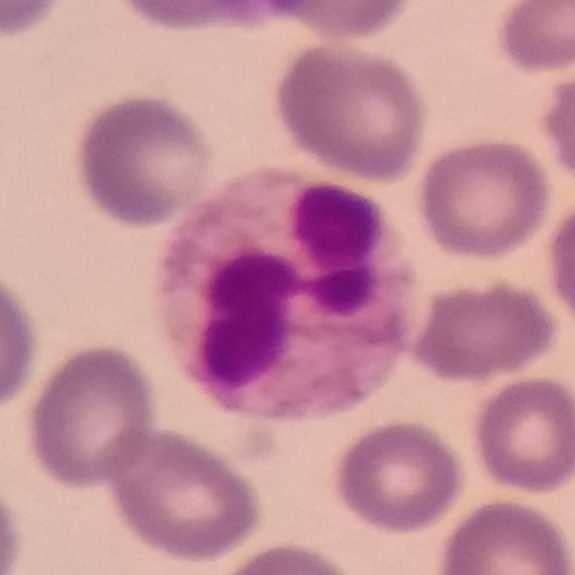 Specimen: peripheral blood film.
Cell type: neutrophilic granulocyte.
Lineage: myeloid.